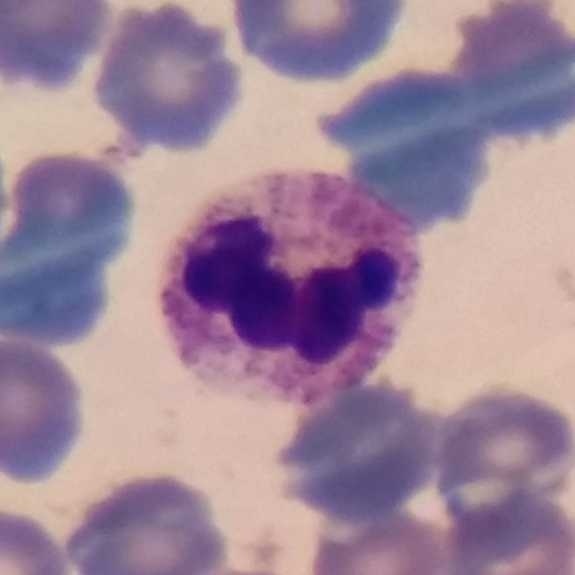

Cell type = neutrophilic granulocyte.
Context: Peripheral blood smear.